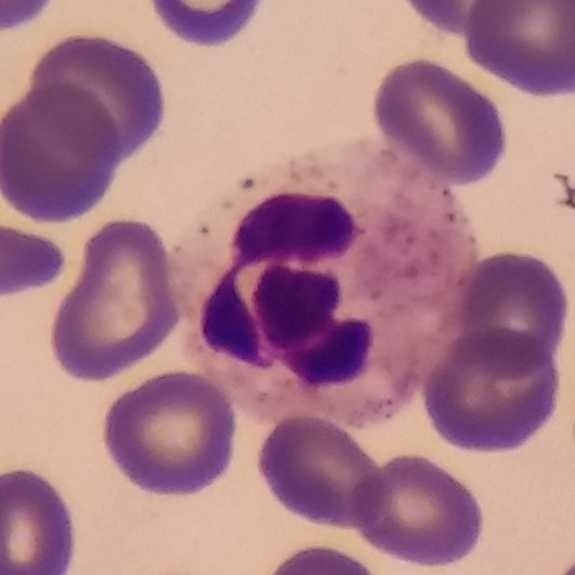
Neutrophil granulocyte.